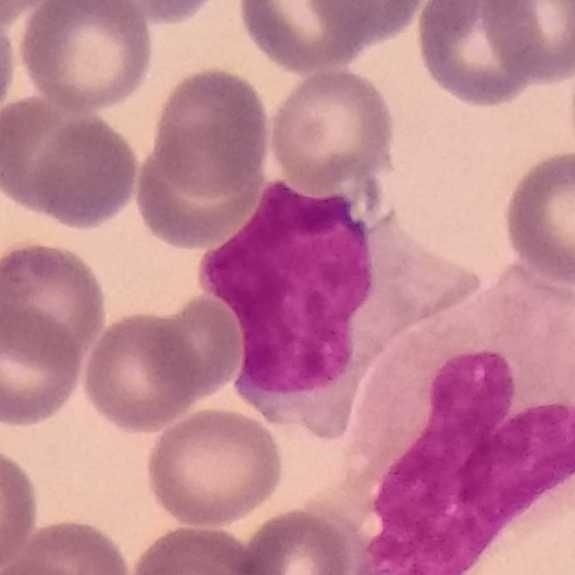A lymphocyte.
Peripheral blood smear.